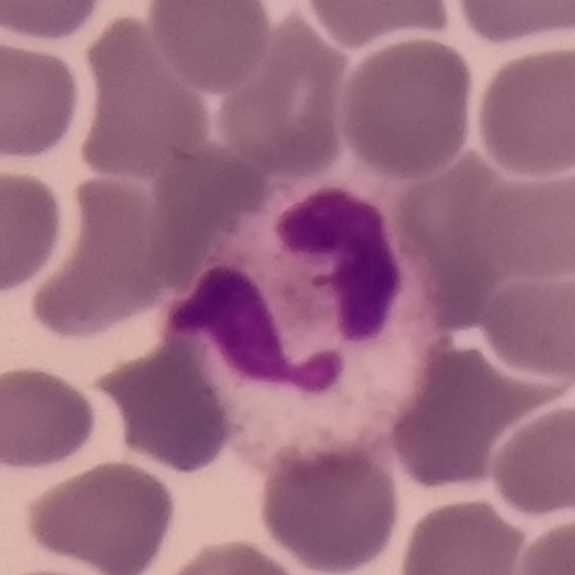

Preparation: Giemsa-stained · peripheral blood smear. Identified as a neutrophil granulocyte.